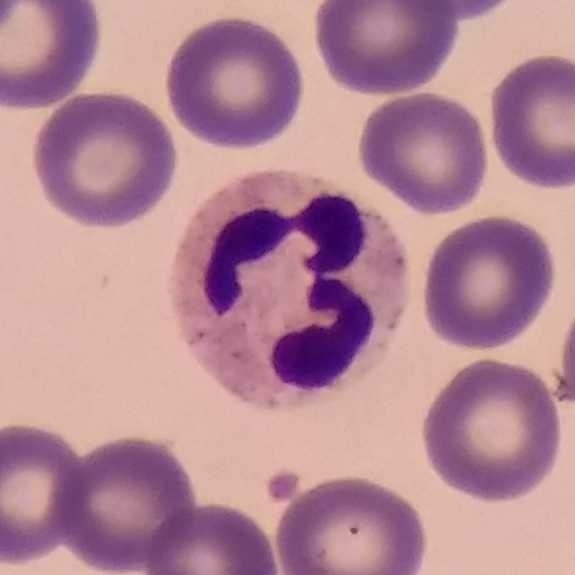Context: 575×575 · peripheral blood smear.
The white blood cell type is neutrophil granulocyte.